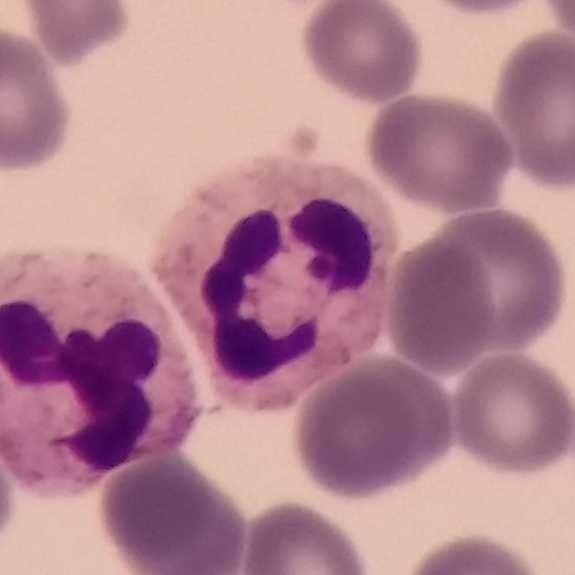

The white blood cell in this image is a neutrophil granulocyte. Acquisition: Peripheral blood film · 100× magnification · smartphone photomicrograph.